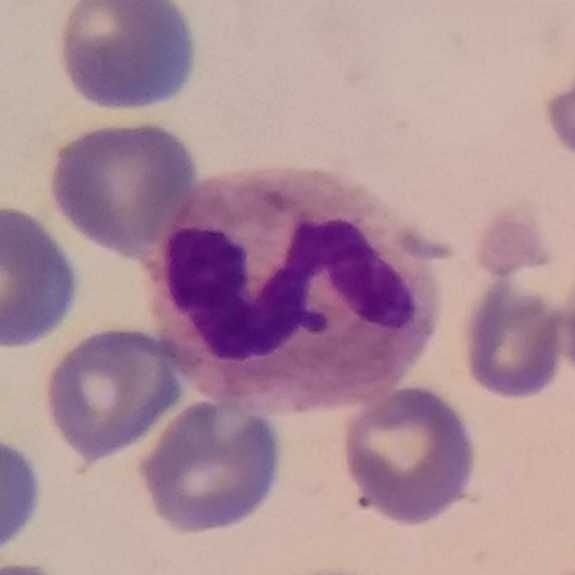

Peripheral blood smear.

The cell shown is a neutrophil granulocyte.